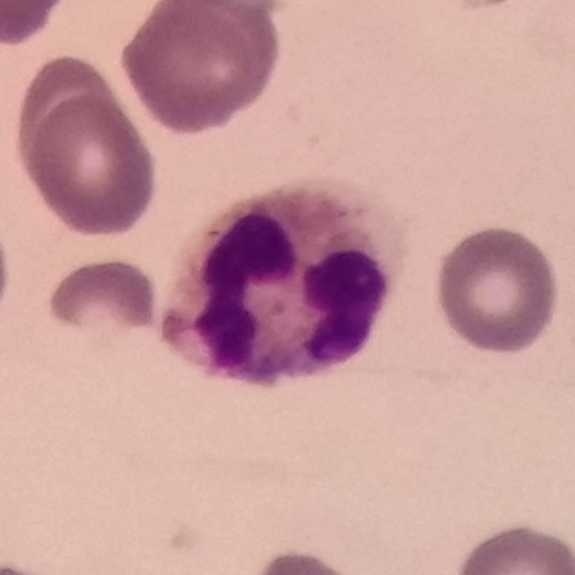
This is a neutrophil.
Acquisition: Peripheral blood smear.